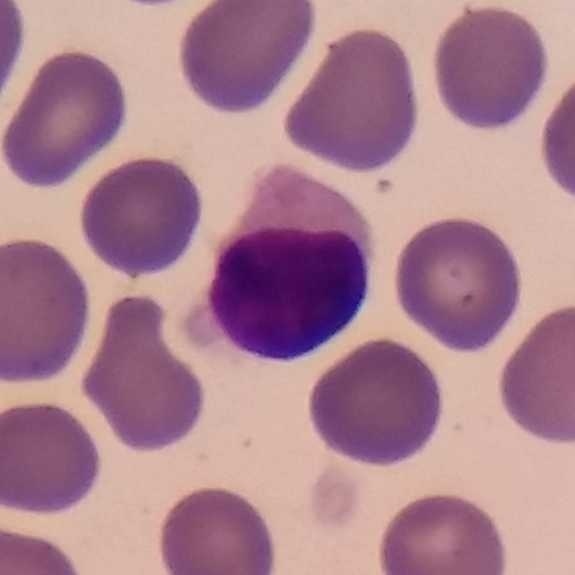

Single-cell crop from a peripheral blood smear: lymphocyte.